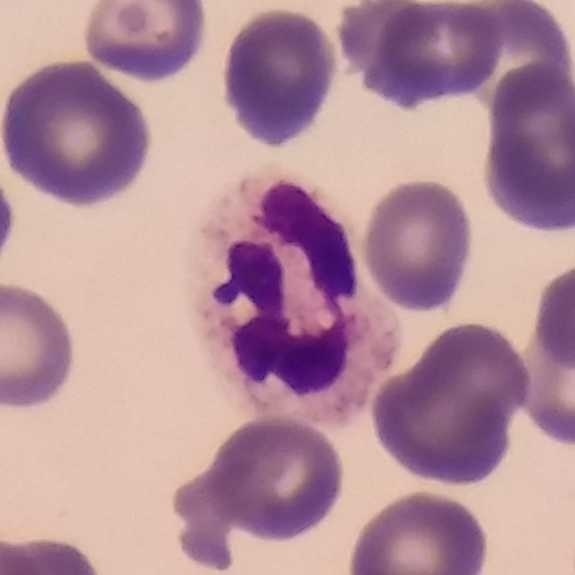

Acquisition: Peripheral blood film.
Impression — neutrophilic granulocyte.